Peripheral blood smear
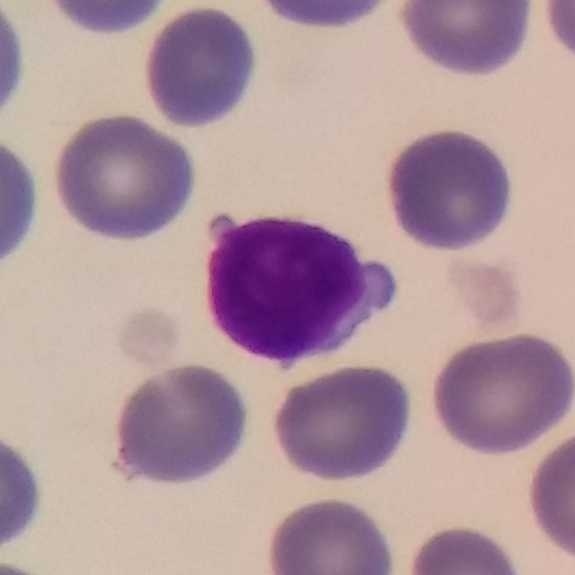

Cell type = lymphocyte.